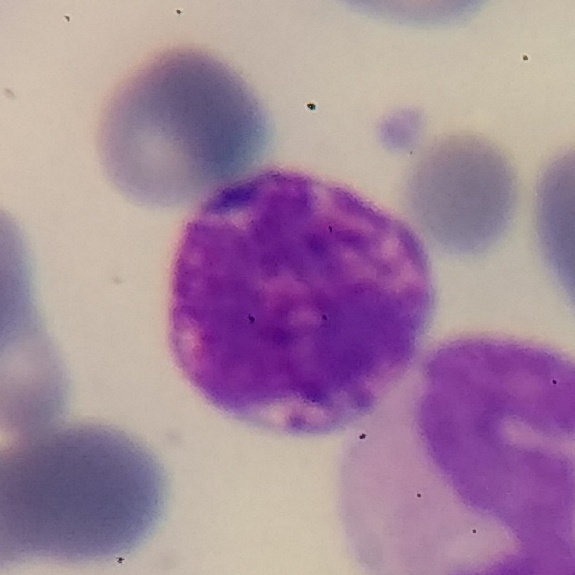Impression — basophil. Peripheral blood smear. Giemsa stain.